Peripheral blood film.
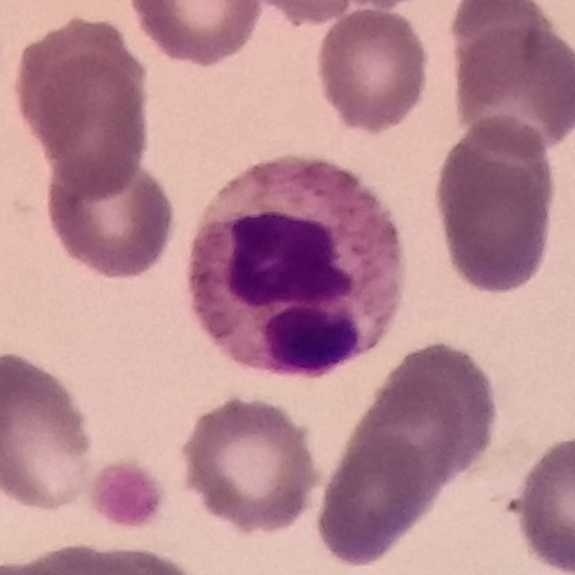 Morphological class = neutrophilic granulocyte.